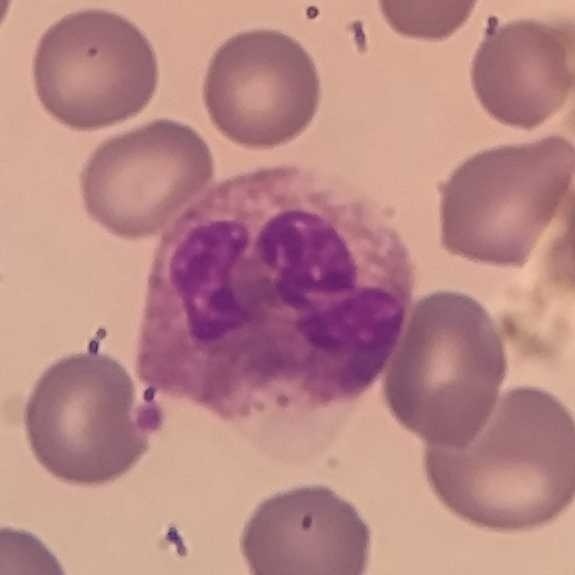 {"cell_type": "neutrophil granulocyte", "lineage": "myeloid"}
Peripheral blood smear.